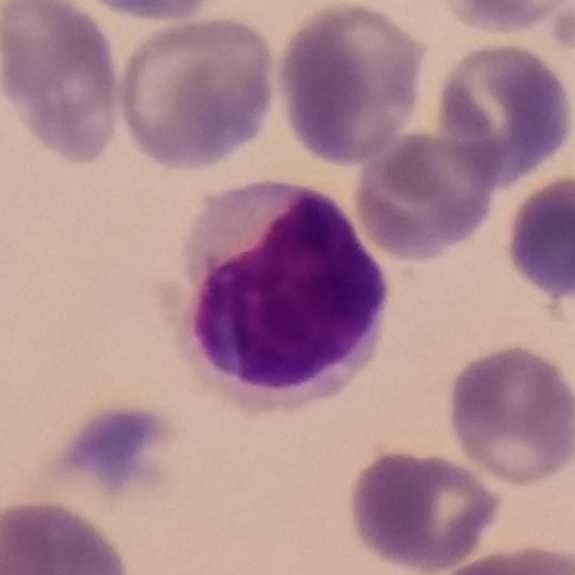
Specimen: peripheral blood smear.
Cell type: lymphocyte.
Lineage: lymphoid.

Image: Single-cell crop.